Peripheral blood smear:
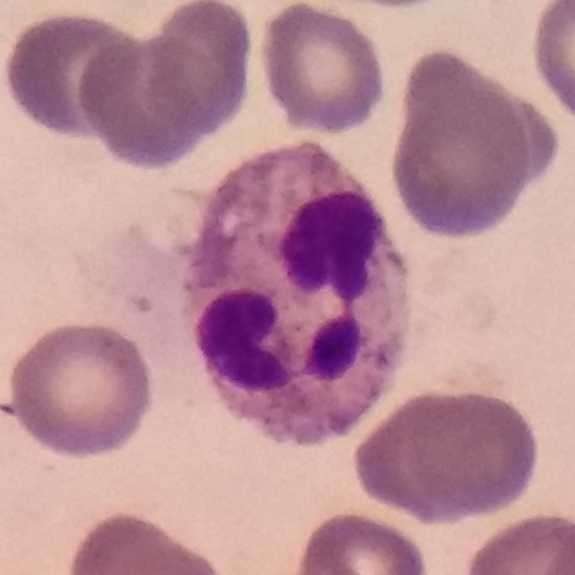White blood cell type — neutrophil.